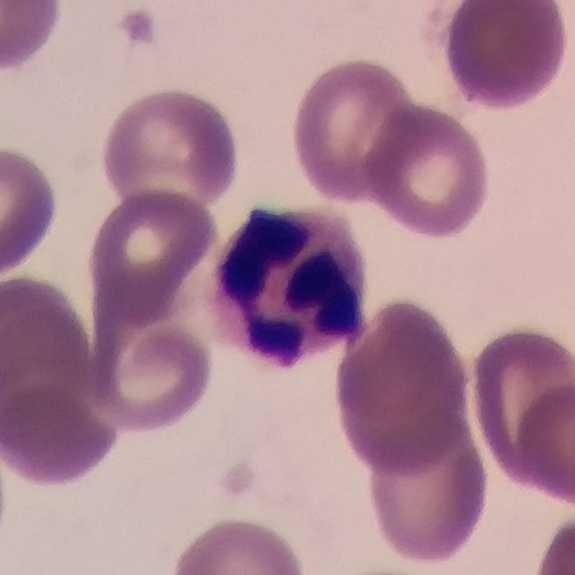

A neutrophil granulocyte.